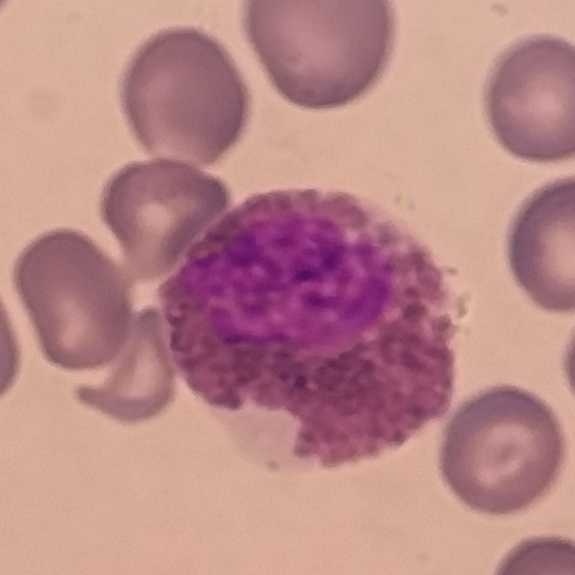 White blood cell type: eosinophil. Context: Peripheral blood smear.